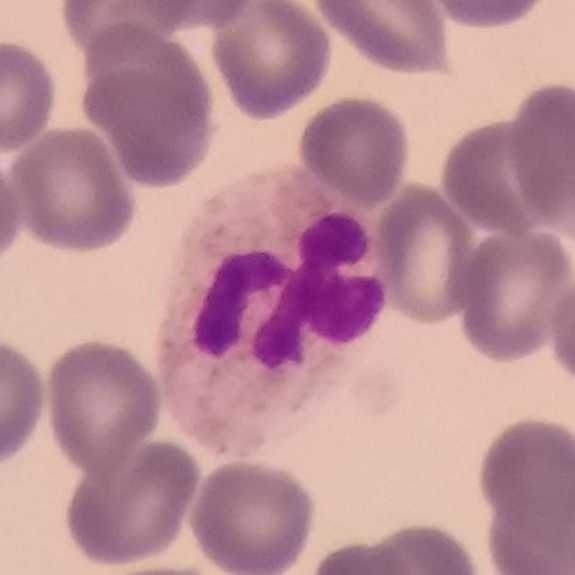Morphology consistent with a neutrophil.